Peripheral blood smear
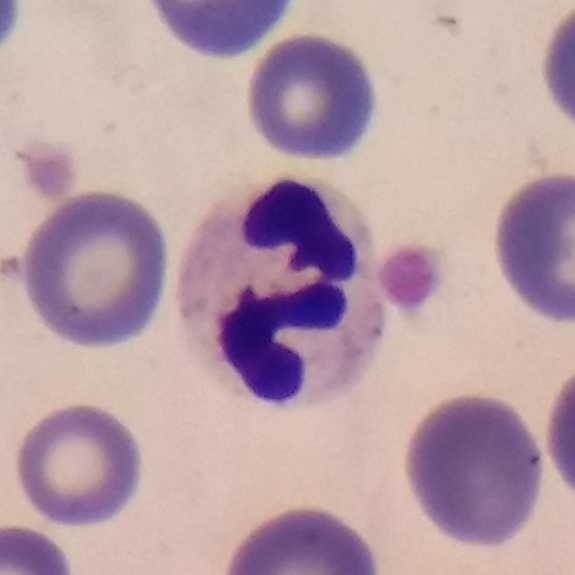 Q: What is this?
A: Neutrophil granulocyte.